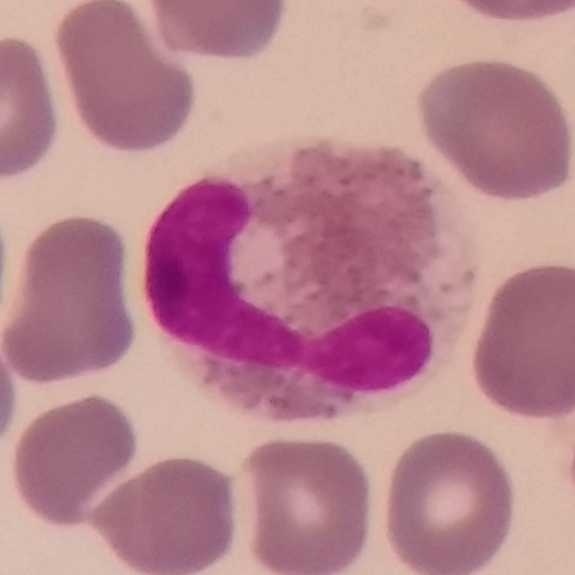Morphology consistent with an eosinophil.